Peripheral blood film
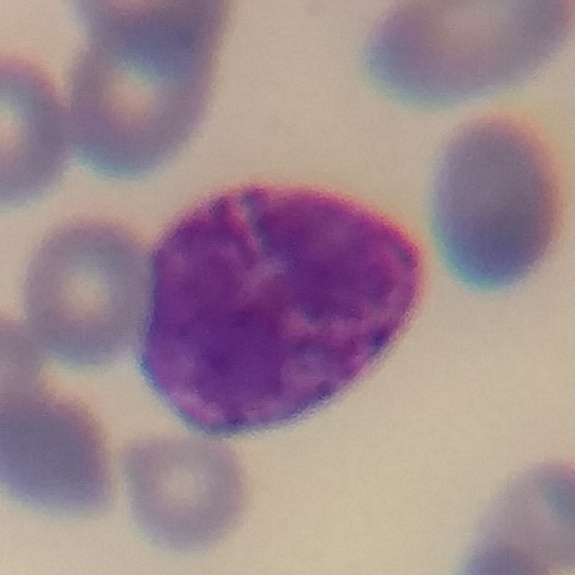

The cell is basophil.